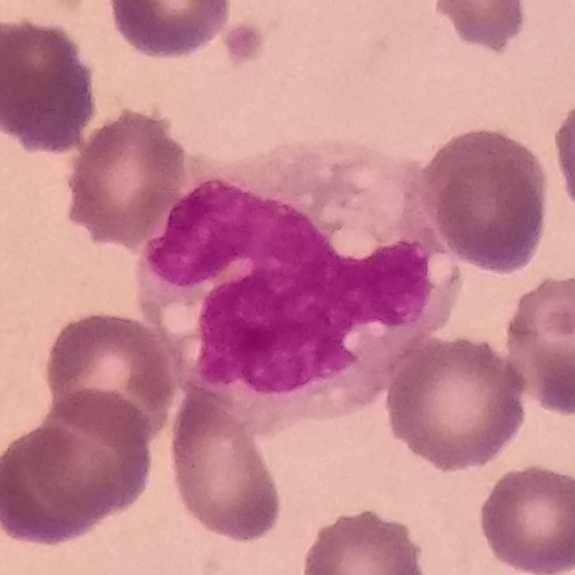

This is a monocyte.